Peripheral blood film: 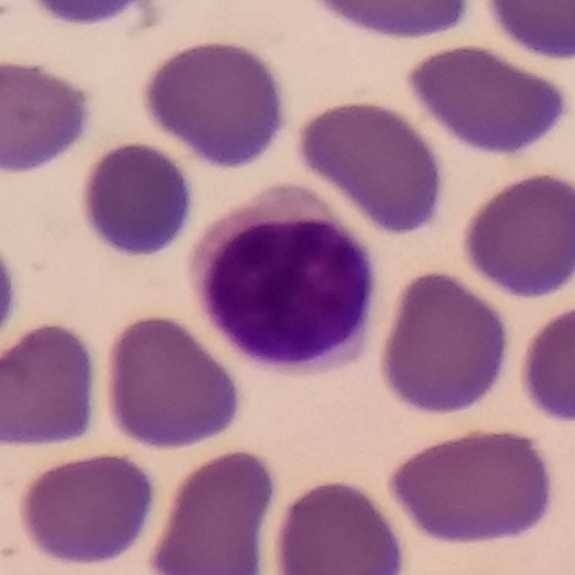 Morphology → lymphocyte.